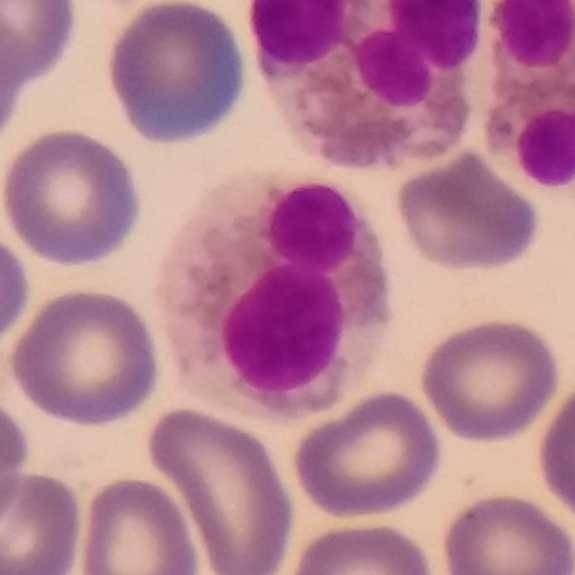 The classification is eosinophilic granulocyte.